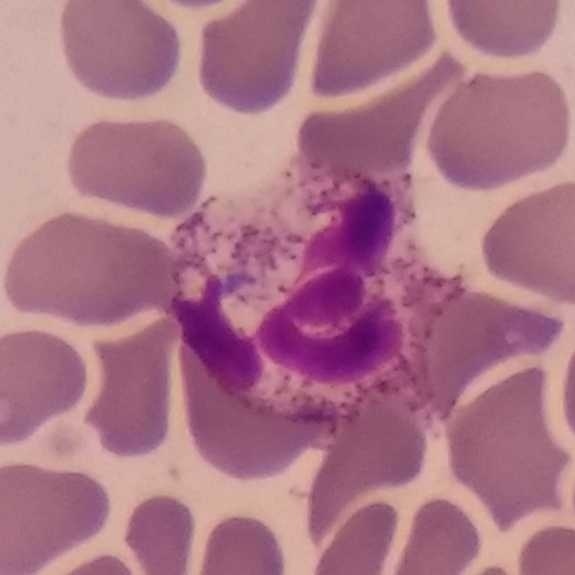 Single-cell crop; peripheral blood film.
Q: Identify the cell.
A: This is a neutrophilic granulocyte.